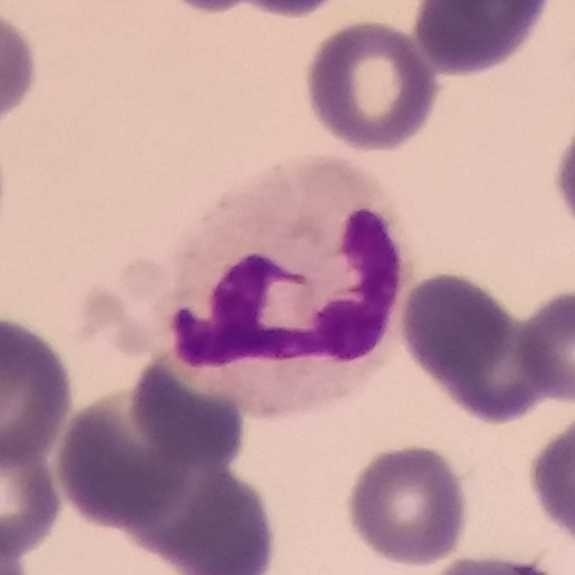

Showing a neutrophil.
Acquisition: Giemsa-stained; smartphone photomicrograph; peripheral blood smear.